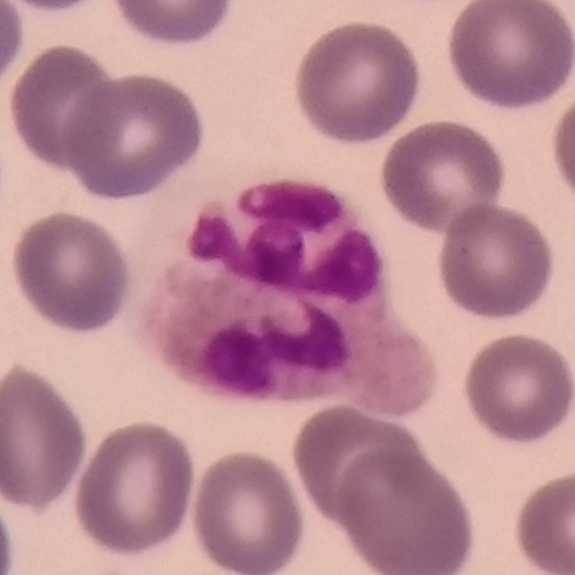

Image: Phone-camera image taken through the microscope ocular; peripheral blood film; 575×575.
Single cell identified as a neutrophil.